Stained with Giemsa; peripheral blood smear — 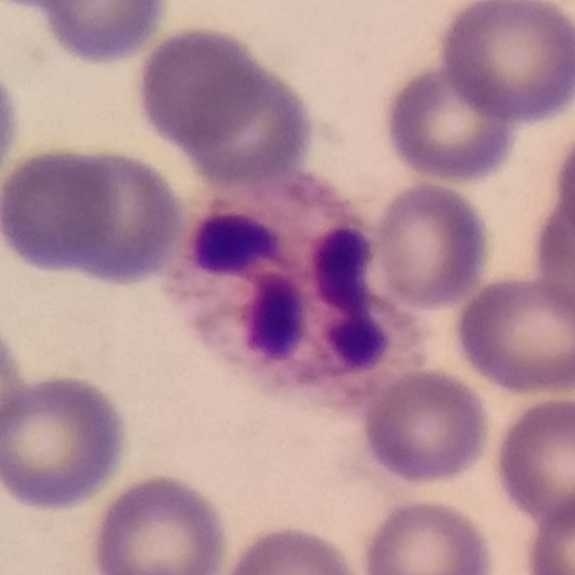
Morphological class: neutrophilic granulocyte.